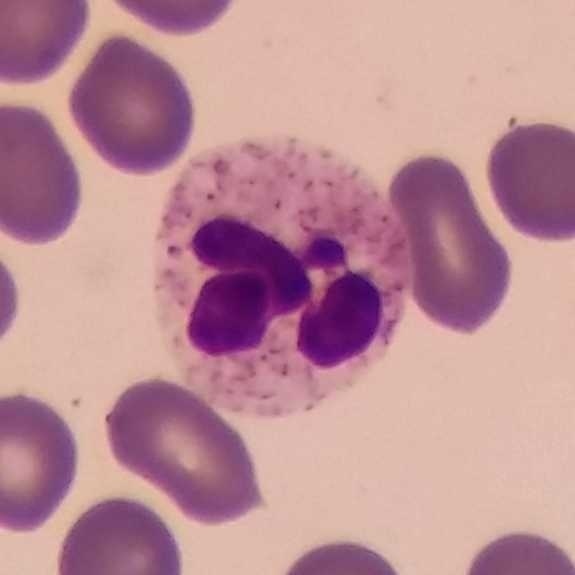 Context: Peripheral blood film · smartphone photomicrograph.

Cell: neutrophilic granulocyte.